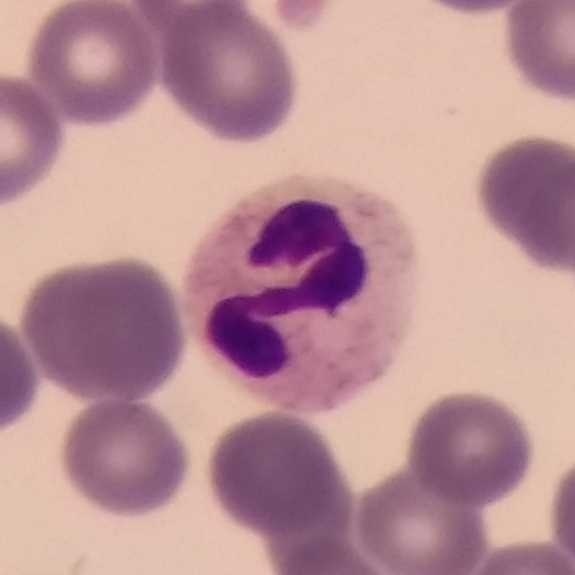 Giemsa-stained. Peripheral blood film. Single white blood cell cropped from the smear photograph. Cell: neutrophil.